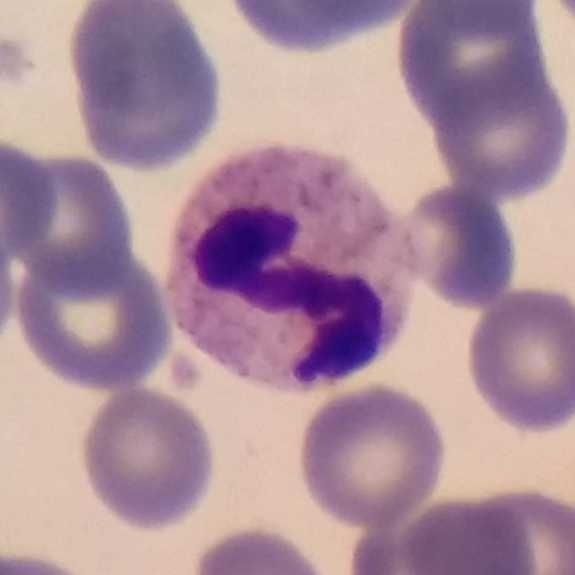This is a neutrophil.
Preparation: Peripheral blood film.